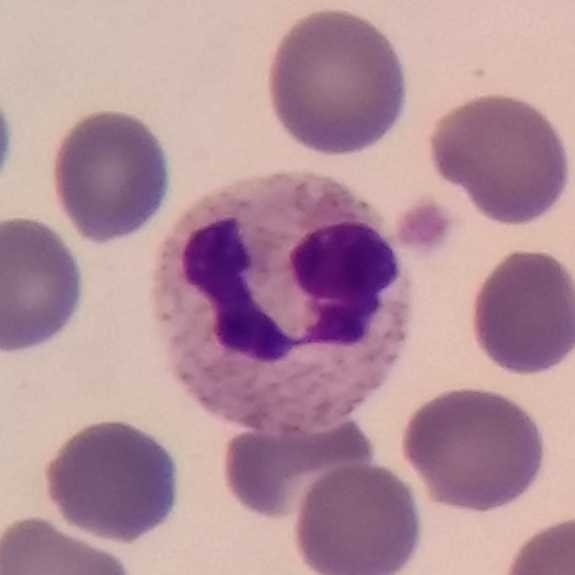

Specimen: peripheral blood film.
Cell: neutrophil granulocyte.
Lineage: myeloid.